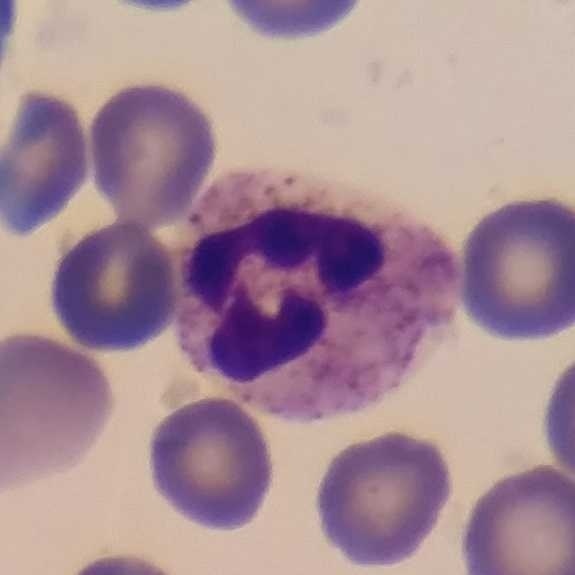 Context: Peripheral blood smear.
Q: What is the morphological classification of this cell?
A: It is a neutrophilic granulocyte.